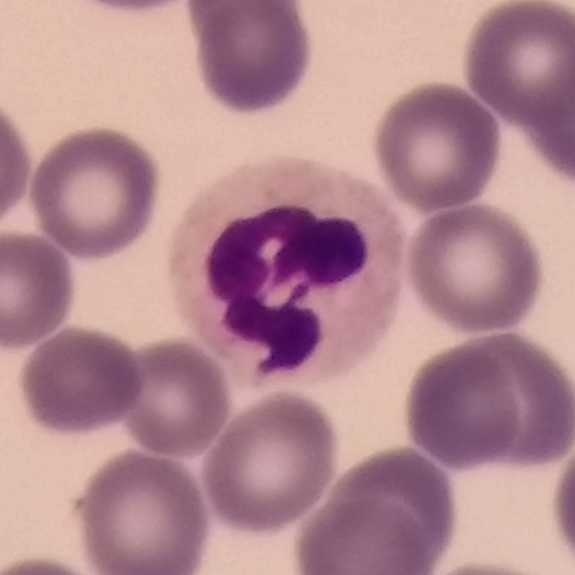Cell: neutrophil.
Image: Peripheral blood film · magnification 100×.